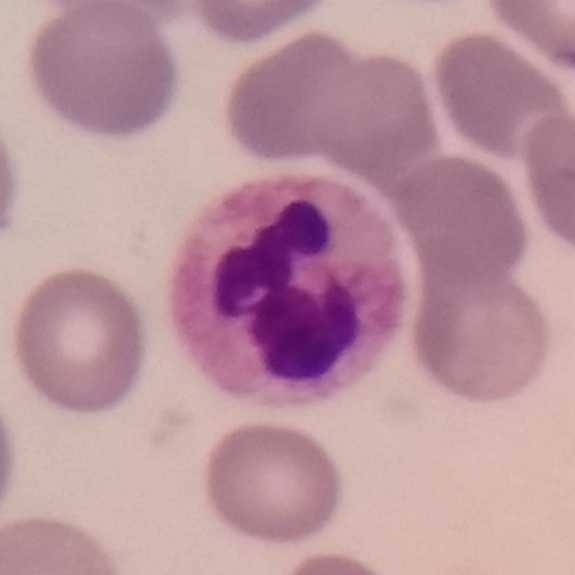 Giemsa stain. Peripheral blood smear. White blood cell type = neutrophilic granulocyte.